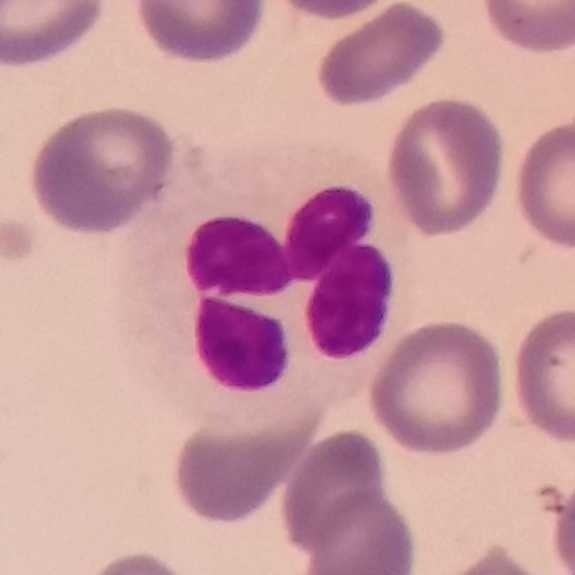

Showing a neutrophil granulocyte.

Context: Peripheral blood film. Imaged at 100×.